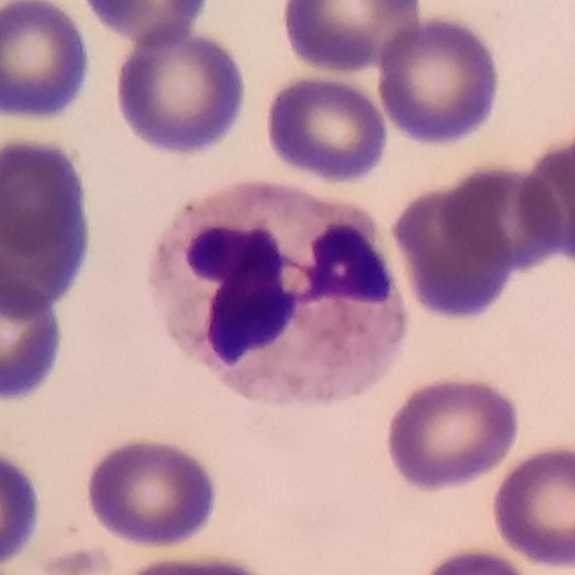Preparation: Peripheral blood smear.
This is a neutrophil.